Peripheral blood smear:
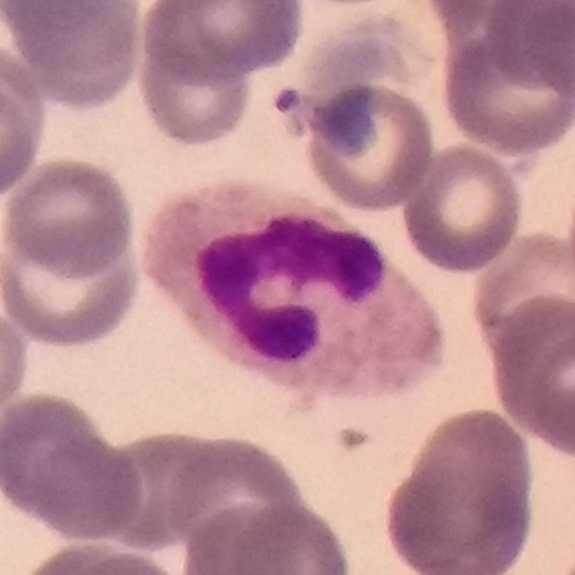

Morphological class: neutrophilic granulocyte.